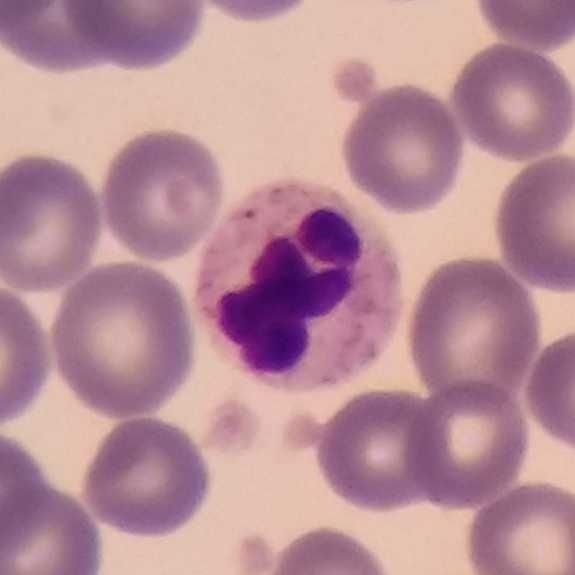 Morphological class = neutrophil granulocyte.
Peripheral blood film.